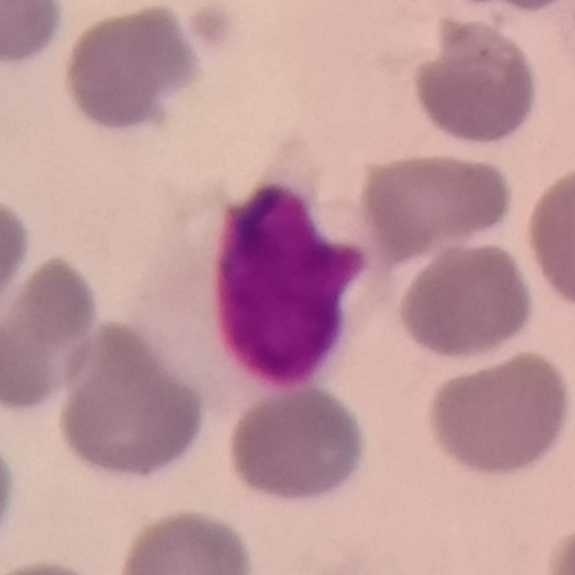 Impression → lymphocyte.
Smartphone photomicrograph. Peripheral blood film. Single-cell crop.